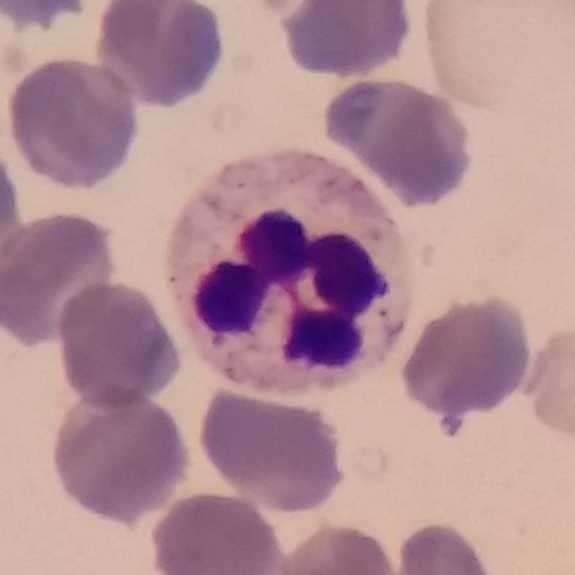
Acquisition: Phone-camera image taken through the microscope ocular. Peripheral blood film. 575×575 px.
The cell shown is a neutrophil.